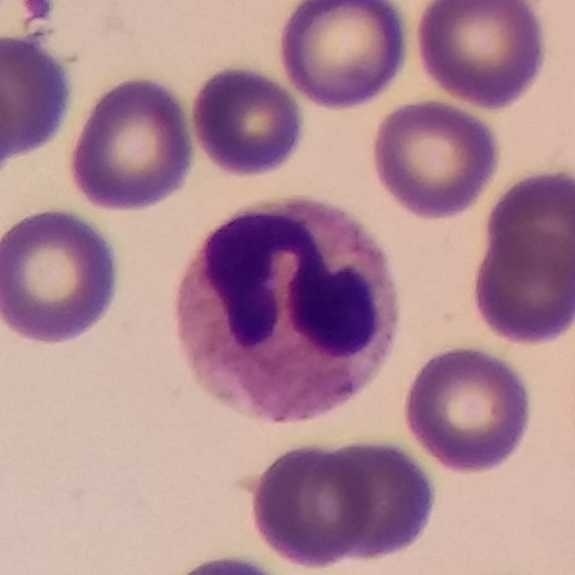

Morphological class = neutrophil granulocyte.